Peripheral blood smear.
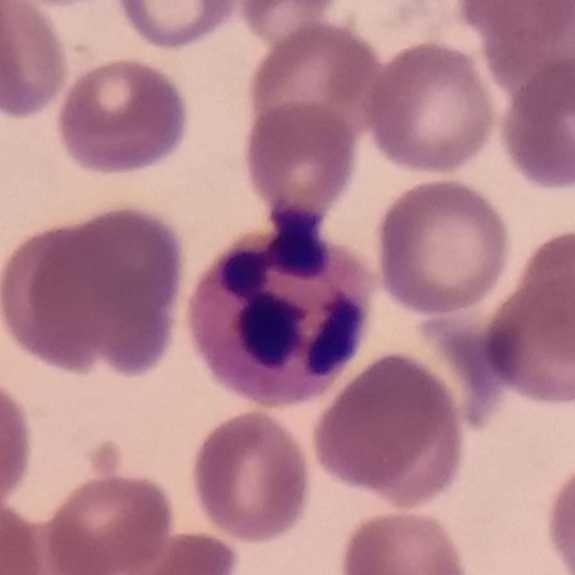 Q: What is this?
A: Neutrophilic granulocyte.